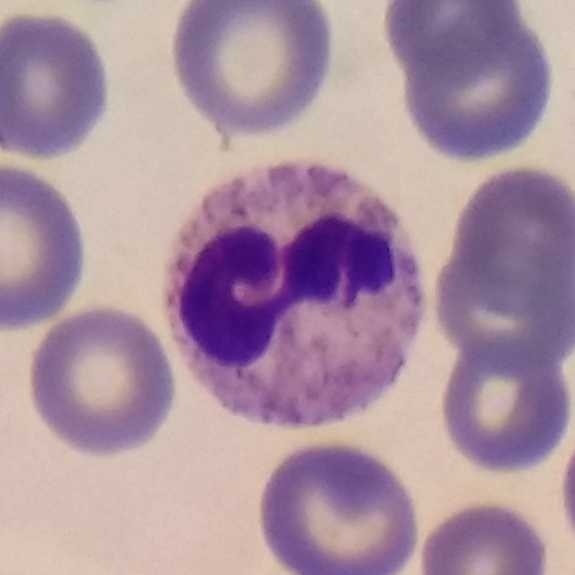 Q: Classify this leukocyte.
A: It is a neutrophil.